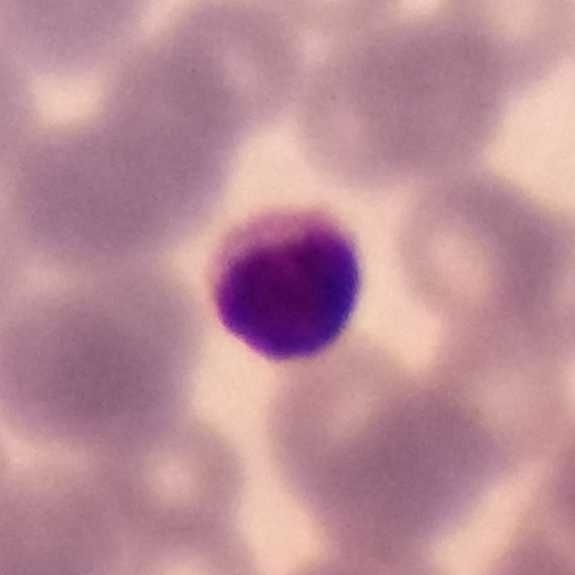

Q: What is shown here?
A: It is a lymphocyte.
Image: Peripheral blood film.